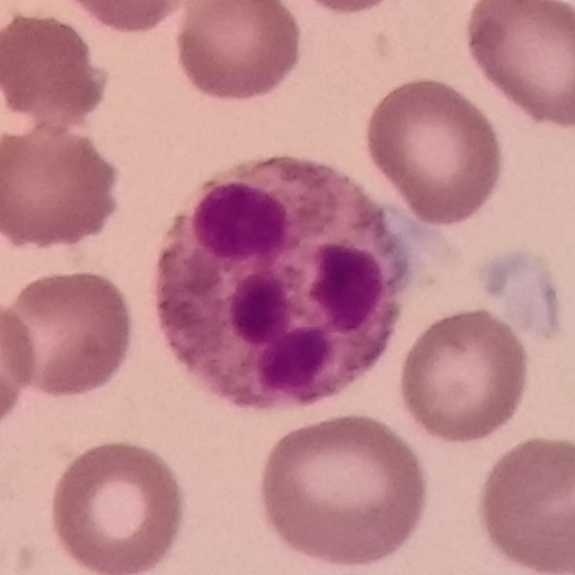
The cell is neutrophilic granulocyte.
Preparation: Peripheral blood smear.